Peripheral blood film.
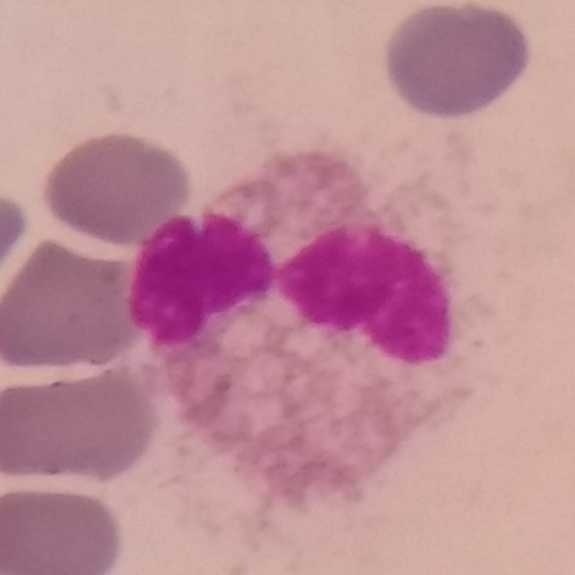 Cell type: eosinophilic granulocyte.